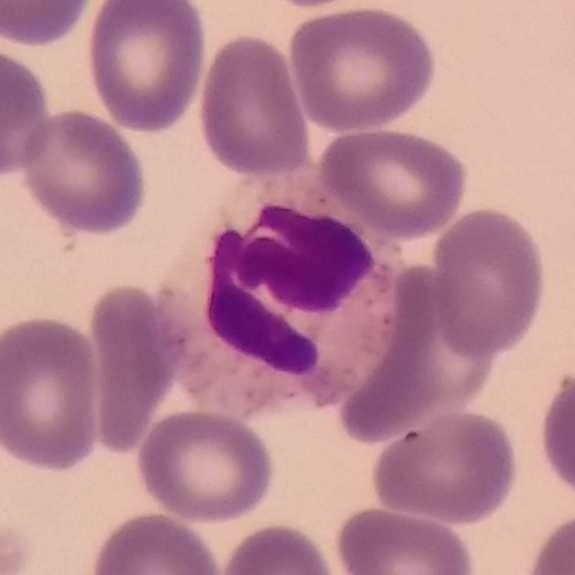 Cell type — neutrophil granulocyte. Context: Peripheral blood smear · magnification 100× · stained with Giemsa.